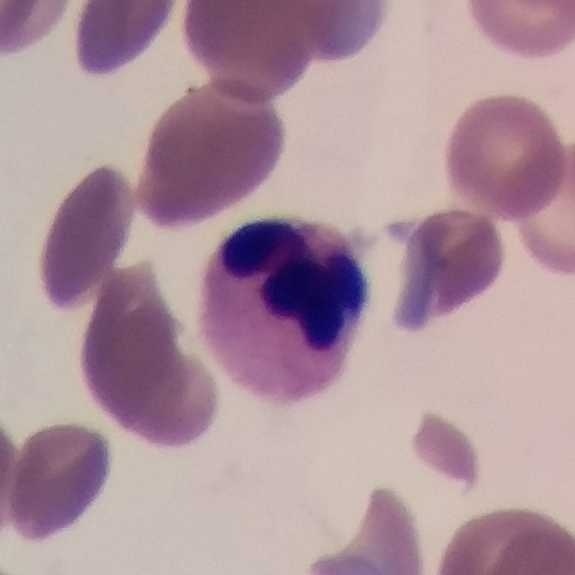

Single-cell crop from a peripheral blood smear: neutrophil.